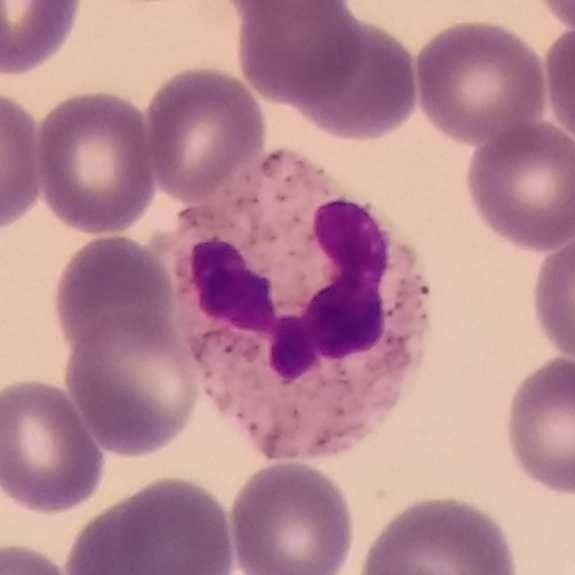

Classification: neutrophil.
Context: Peripheral blood film.